Phone-camera image taken through the microscope ocular. Stained with Giemsa. Peripheral blood smear.
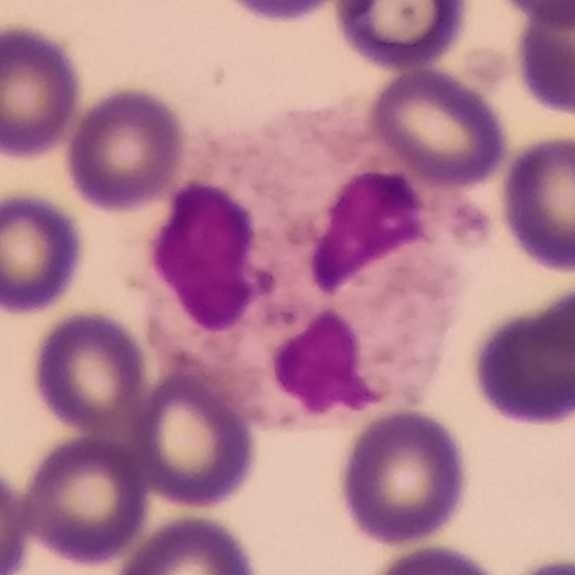
Identified as a neutrophil granulocyte.